Peripheral blood smear. 575×575.
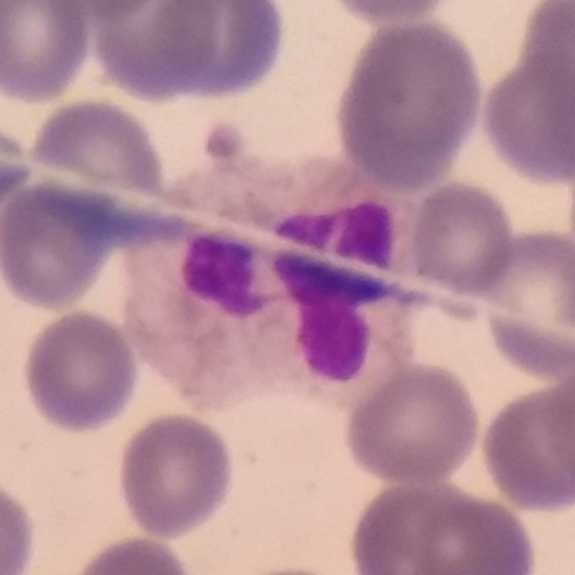Q: Classify this leukocyte.
A: This is a neutrophil.